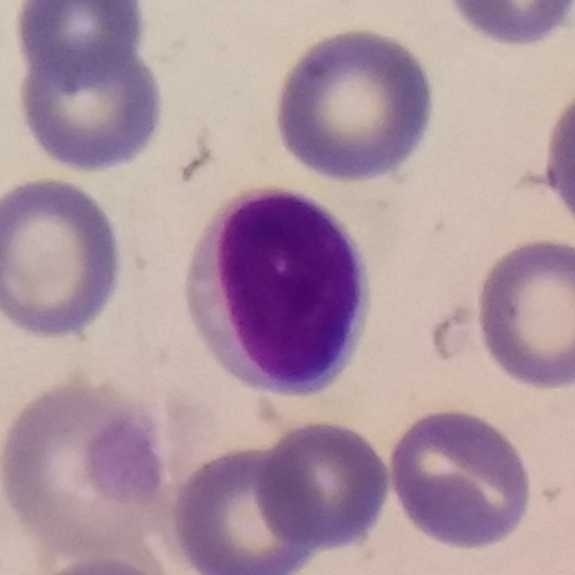Q: Classify this leukocyte.
A: Lymphocyte.